575×575 px · magnification 100× · peripheral blood film.
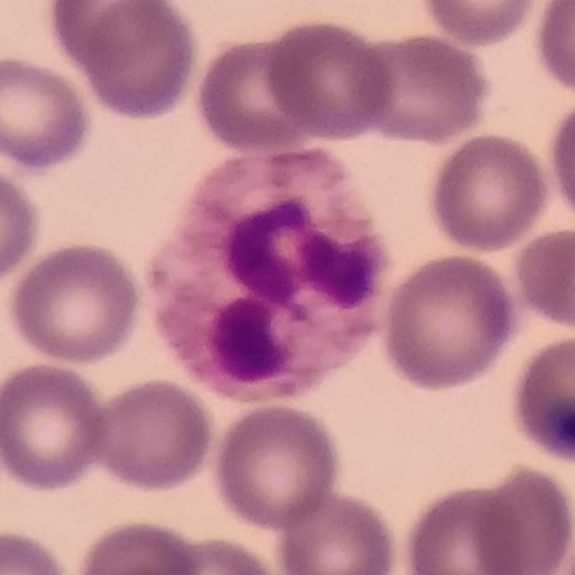

Classification — neutrophilic granulocyte.